Smartphone camera mounted on the microscope eyepiece; peripheral blood film; imaged at 100×:
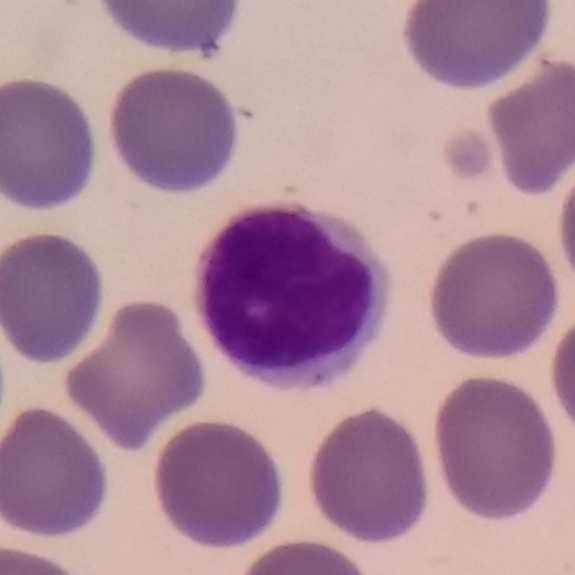Lymphocyte.